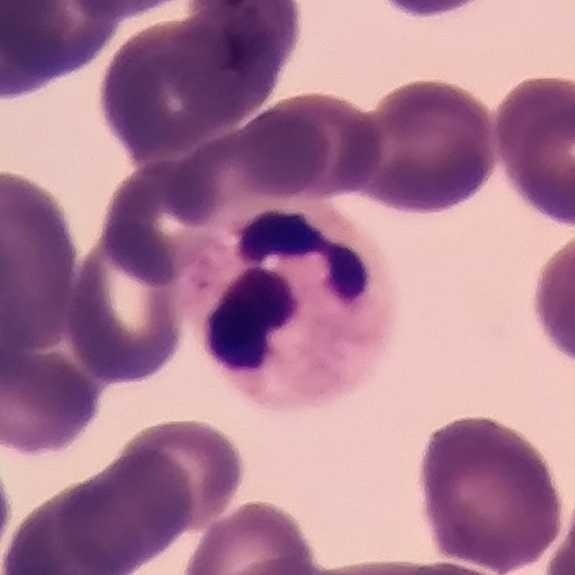

Morphological class = neutrophil granulocyte.